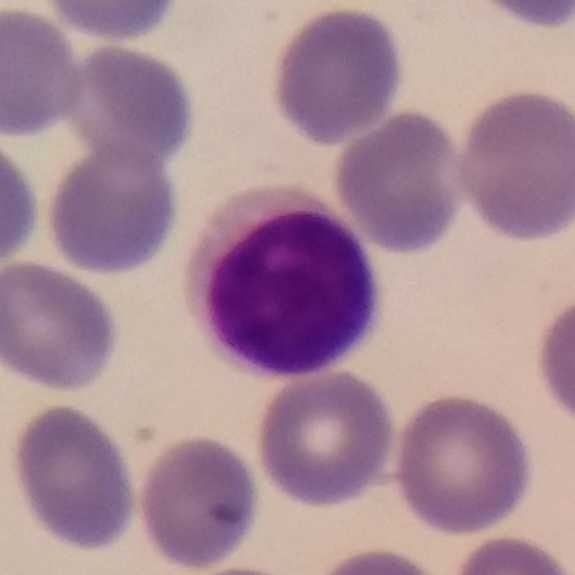
Image: Peripheral blood film. Magnification 100×.
A lymphocyte.